Smartphone photomicrograph; stained with Giemsa; peripheral blood film — 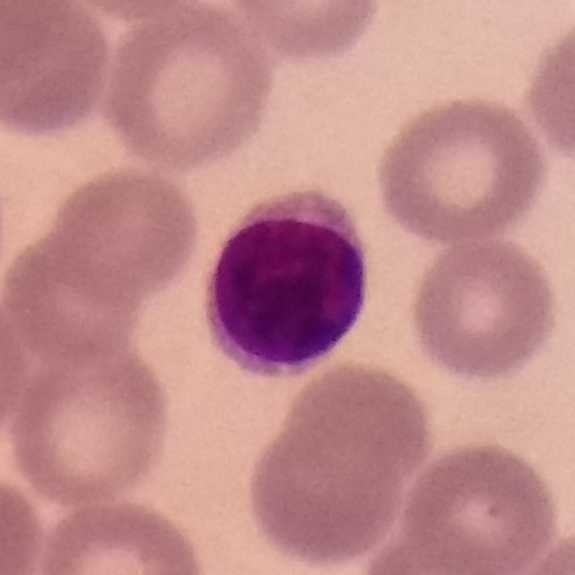

Impression → lymphocyte.